Peripheral blood smear:
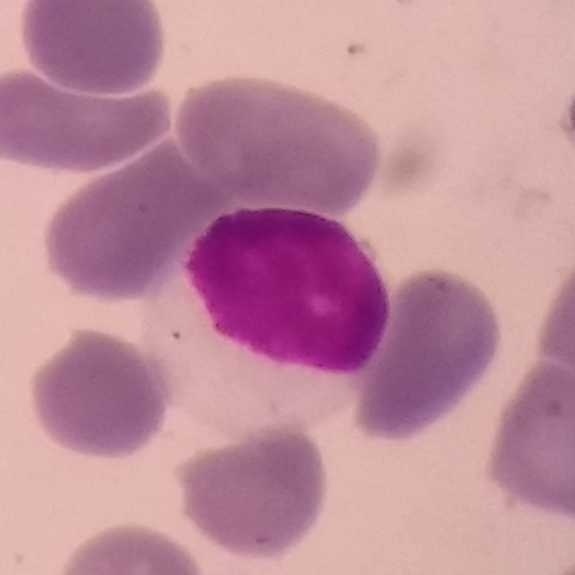Morphology → lymphocyte.